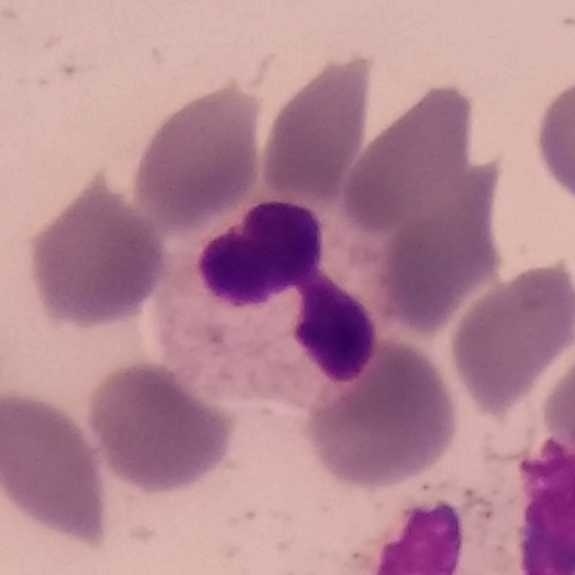
This is a neutrophil granulocyte. Peripheral blood film.